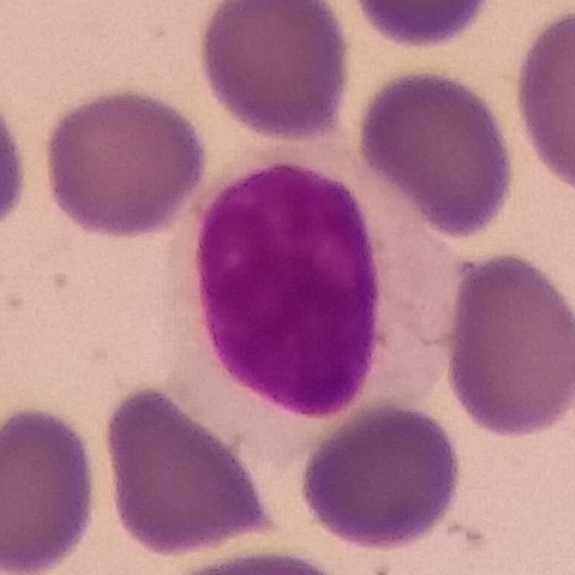
{"cell_type": "lymphocyte"}